Peripheral blood smear: 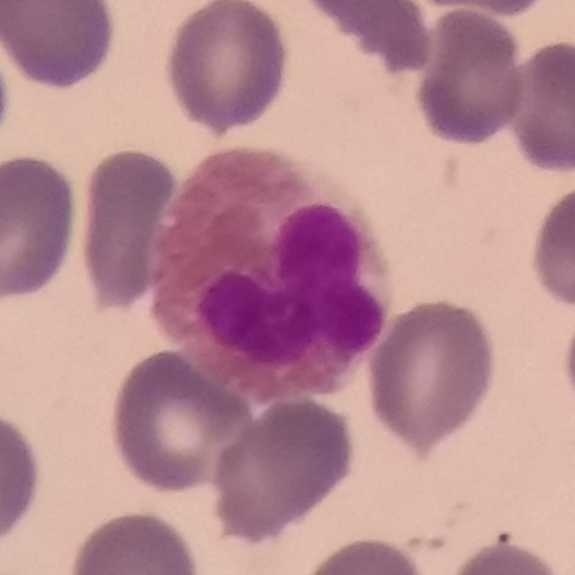

The cell shown is an eosinophil.